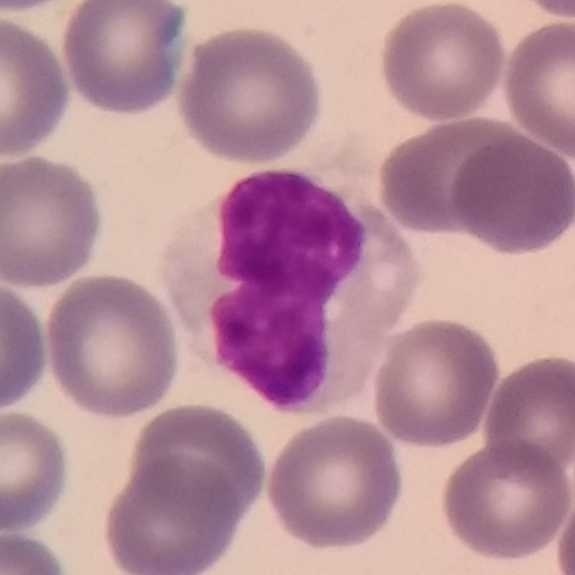
Morphology — monocyte.